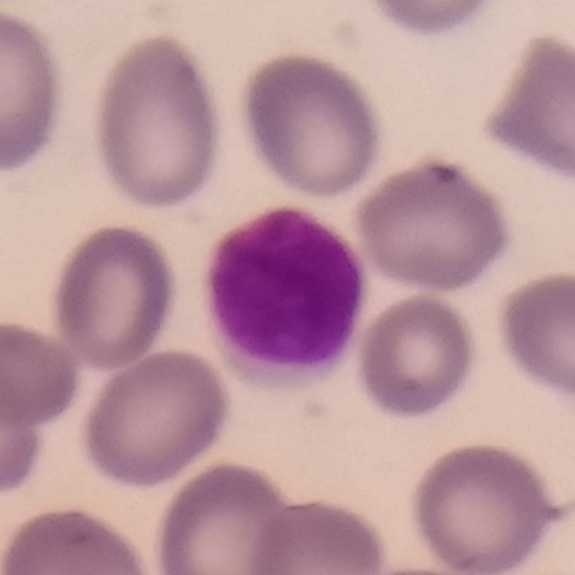

Context: Peripheral blood smear. The cell is lymphocyte.